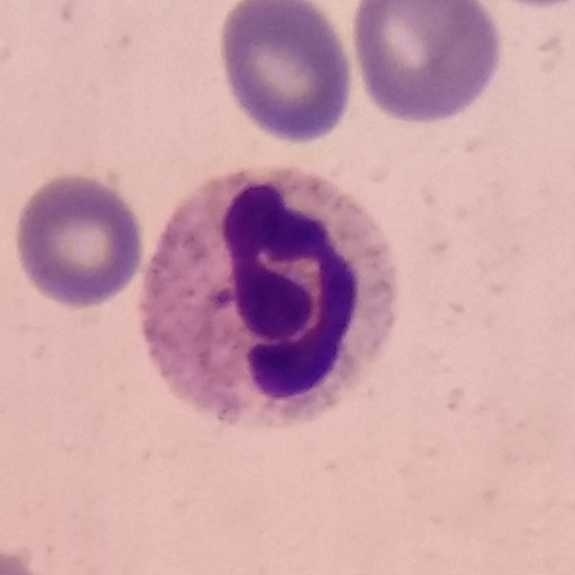

Q: What is the morphological classification of this cell?
A: Neutrophil granulocyte. Imaged at 100×. Peripheral blood smear.